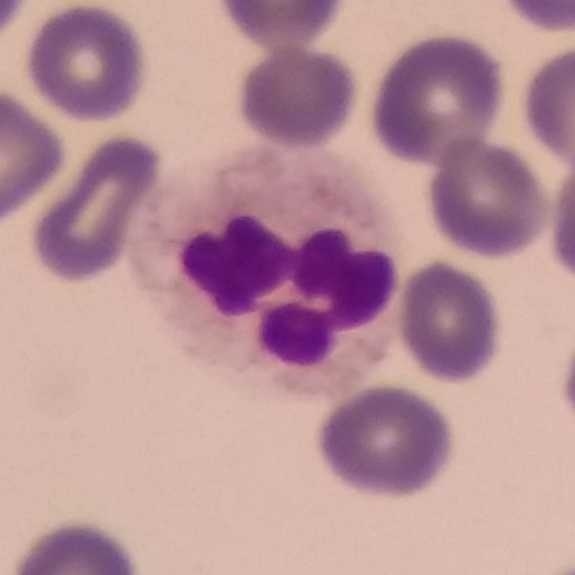

The white blood cell type is neutrophilic granulocyte. 100× magnification · peripheral blood smear.